Peripheral blood film · Giemsa stain: 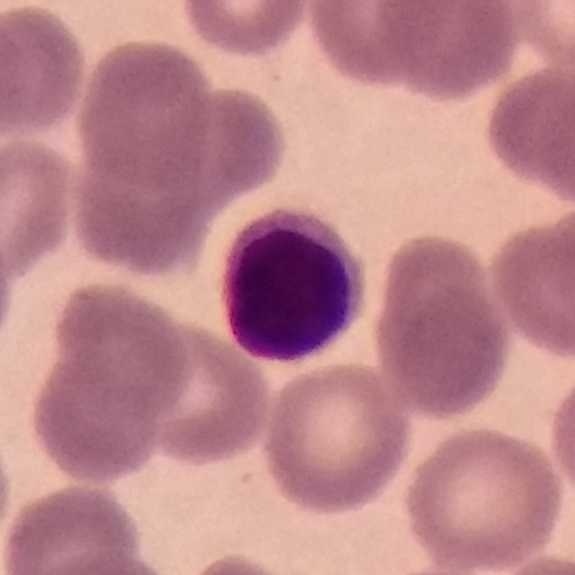 The cell shown is a lymphocyte.